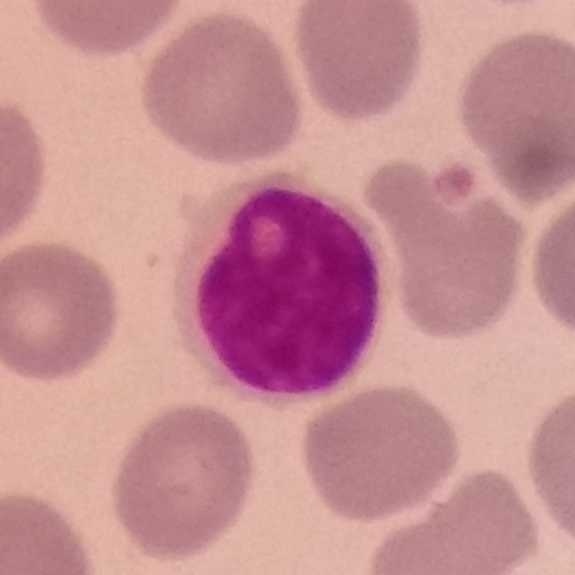

Cell type — lymphocyte.

Peripheral blood film.